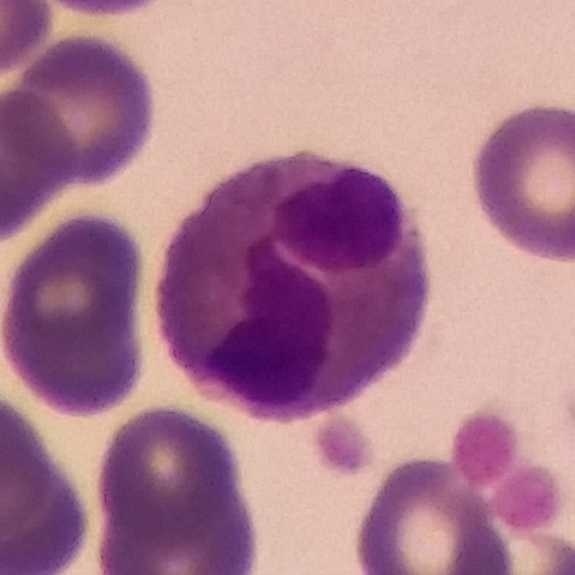 White blood cell type: eosinophilic granulocyte.

Magnification 100×; image size 575×575; peripheral blood smear.